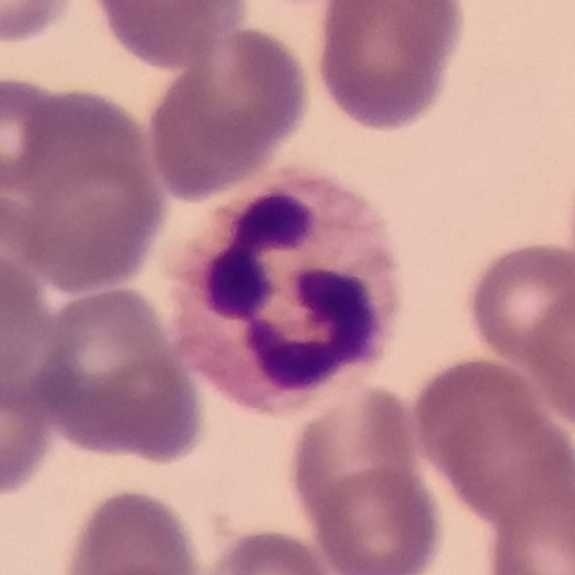

Context: Phone-camera image taken through the microscope ocular.

Specimen: peripheral blood smear.
Classification: neutrophil granulocyte.